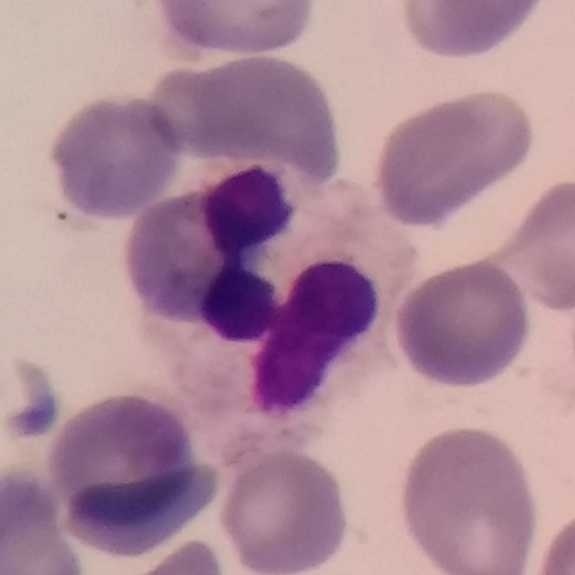 Peripheral blood smear.
The cell is neutrophil granulocyte.